Peripheral blood smear — 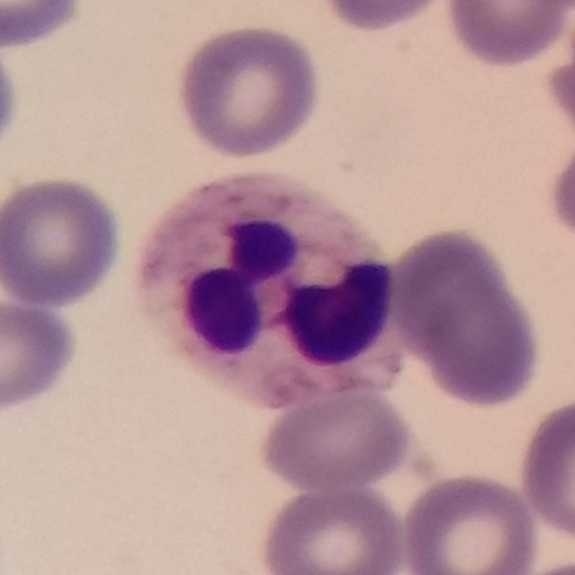

The classification is neutrophil.